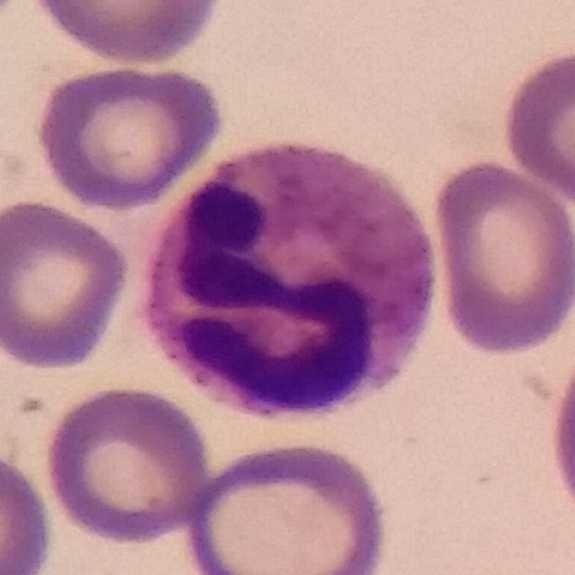
{"cell_type": "neutrophil"}

Image: Peripheral blood smear.